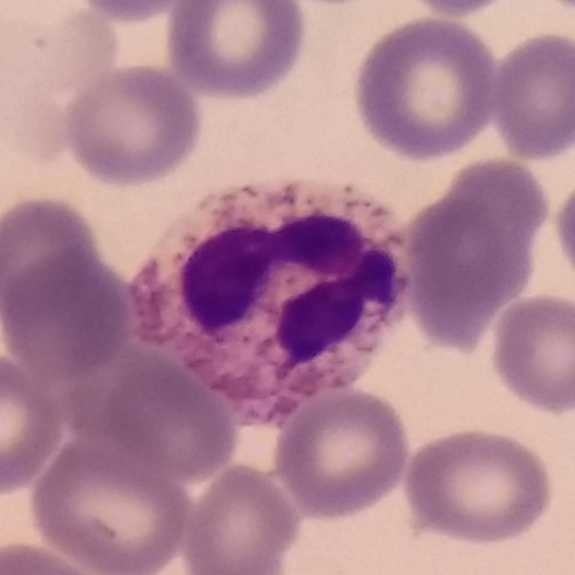 Neutrophil granulocyte.